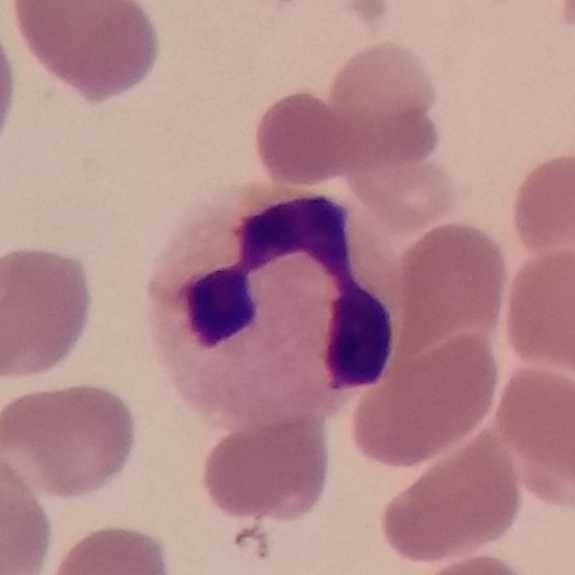 White blood cell type — neutrophilic granulocyte.

Acquisition: Peripheral blood film.